Single-cell crop; 100× magnification; peripheral blood smear — 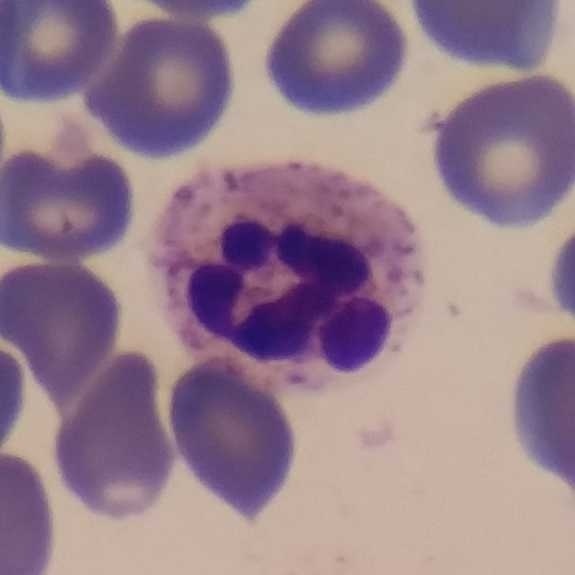Q: Classify this leukocyte.
A: This is a neutrophil.